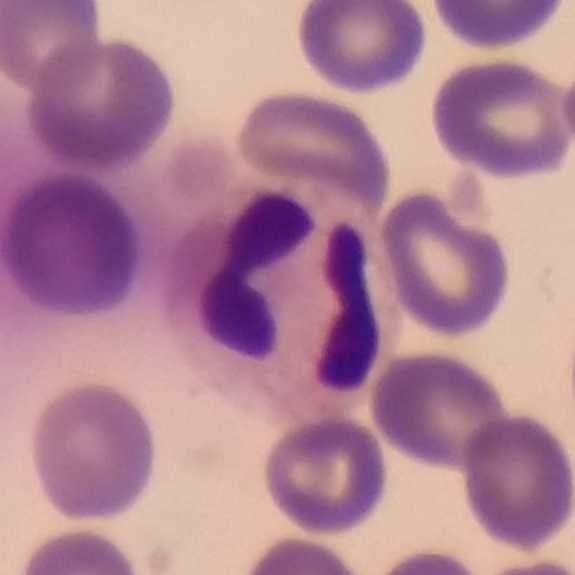

Preparation: Peripheral blood film. Single white blood cell cropped from the smear photograph. {"cell_type": "neutrophil granulocyte"}